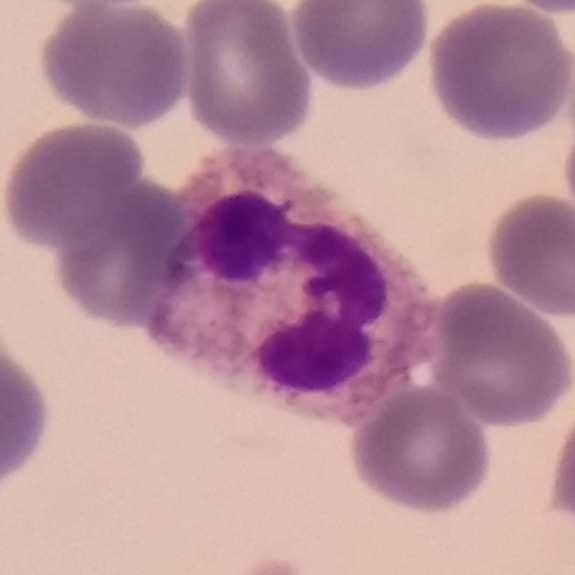 Acquisition: Peripheral blood smear. Q: Which type of white blood cell is this?
A: This is a neutrophil granulocyte.